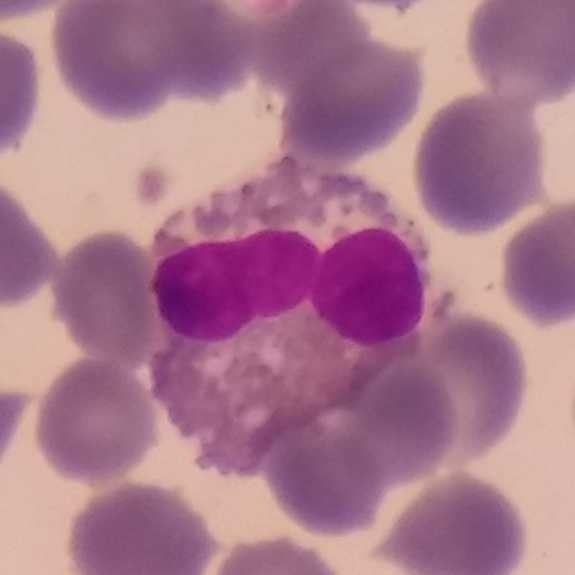Context: Peripheral blood smear. Cell type — eosinophil.